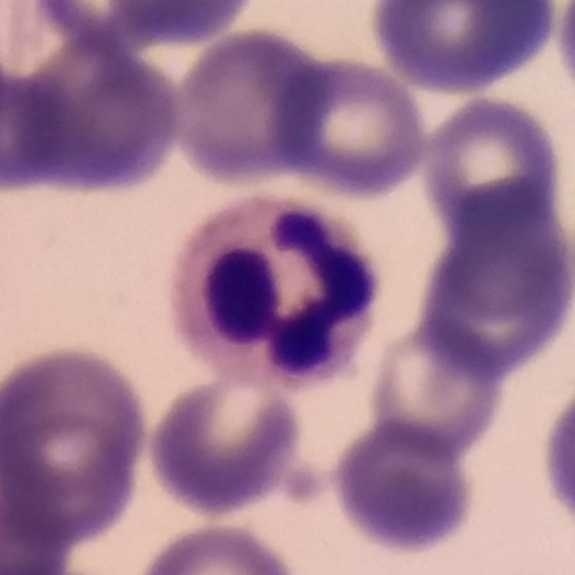 Preparation: Giemsa stain. Peripheral blood film.
Morphology → neutrophilic granulocyte.